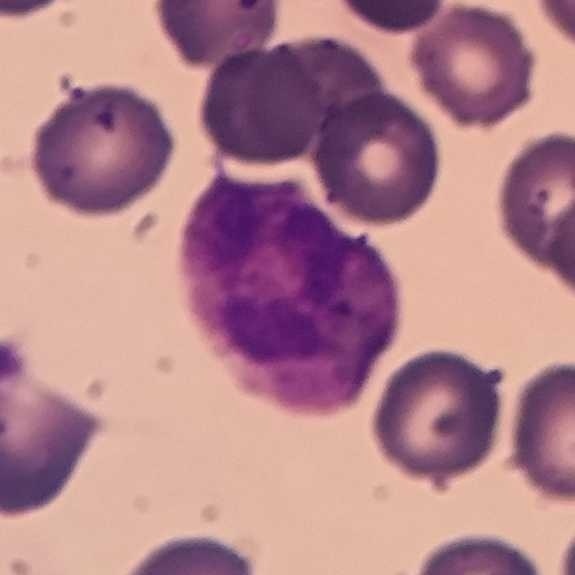

Context: Peripheral blood film; smartphone camera mounted on the microscope eyepiece.
White blood cell type: neutrophil.